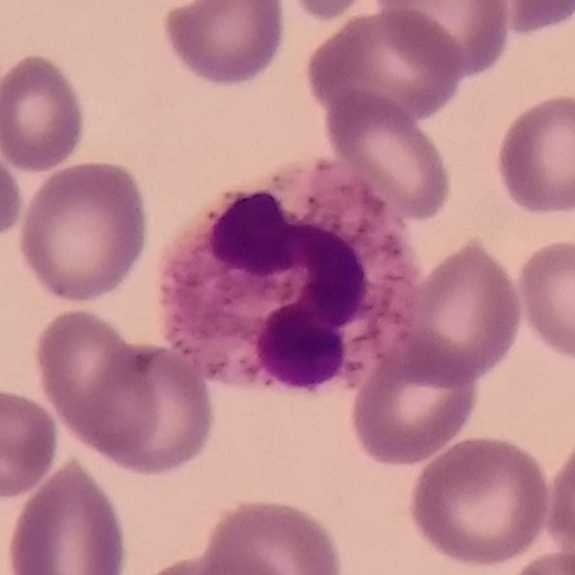
Acquisition: Peripheral blood smear · stained with Giemsa. Q: What type of cell is this?
A: It is a neutrophil granulocyte.